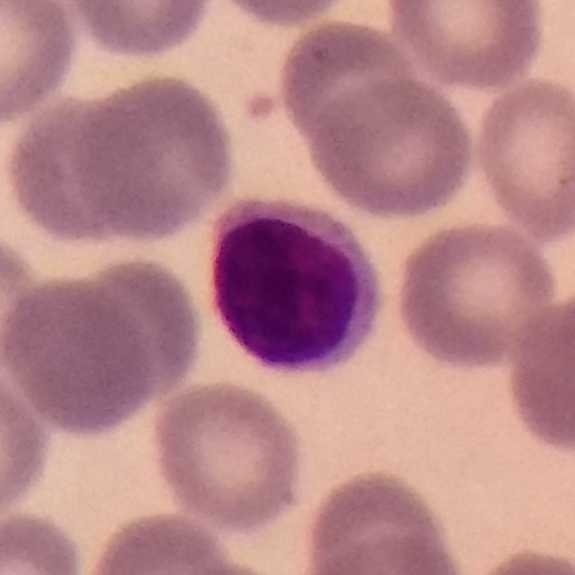Image: Peripheral blood film. Q: Classify this leukocyte.
A: It is a lymphocyte.